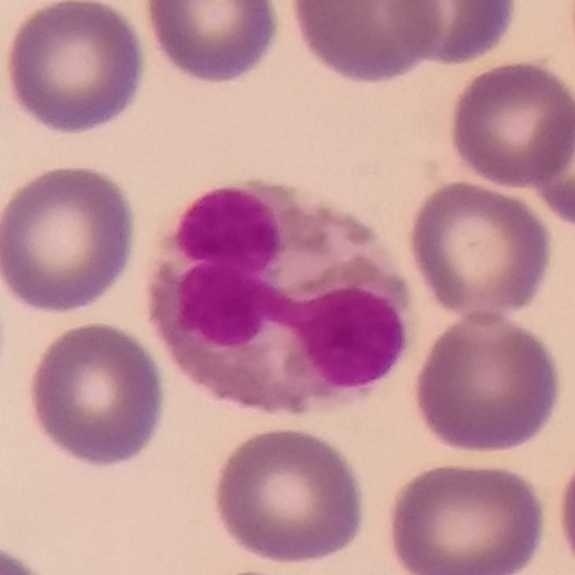

The white blood cell in this image is an eosinophil.